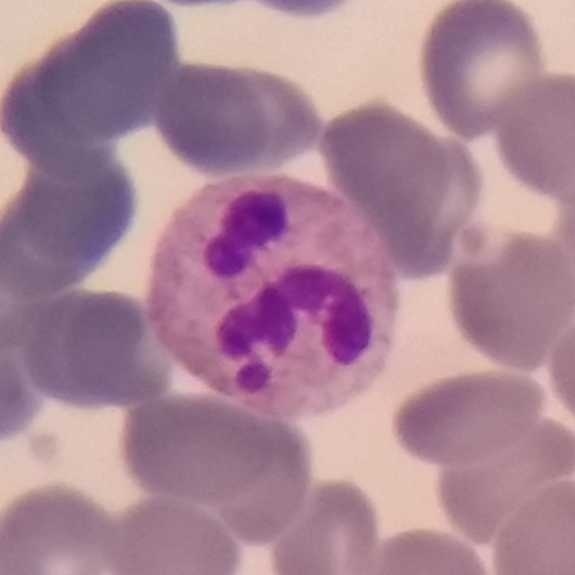575×575 px; peripheral blood smear; Giemsa-stained.

Morphological class = neutrophilic granulocyte.